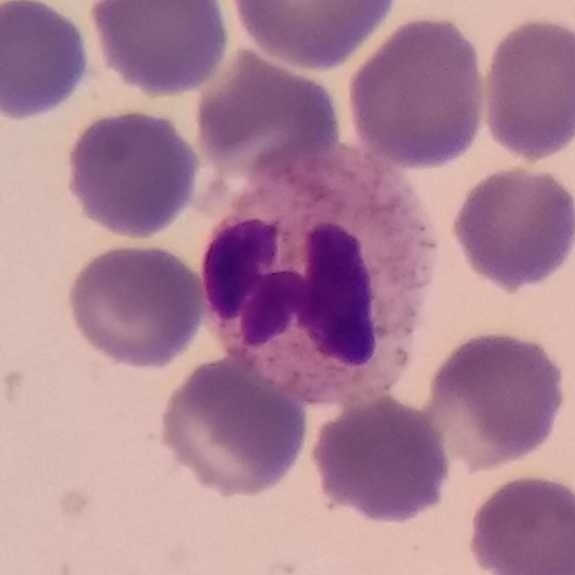
Image: Peripheral blood smear.

Q: What is shown here?
A: It is a neutrophil.